Peripheral blood film: 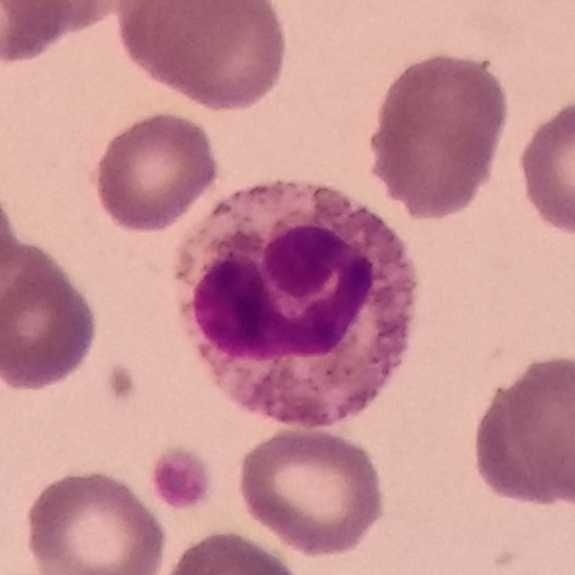

Identified as a neutrophilic granulocyte.